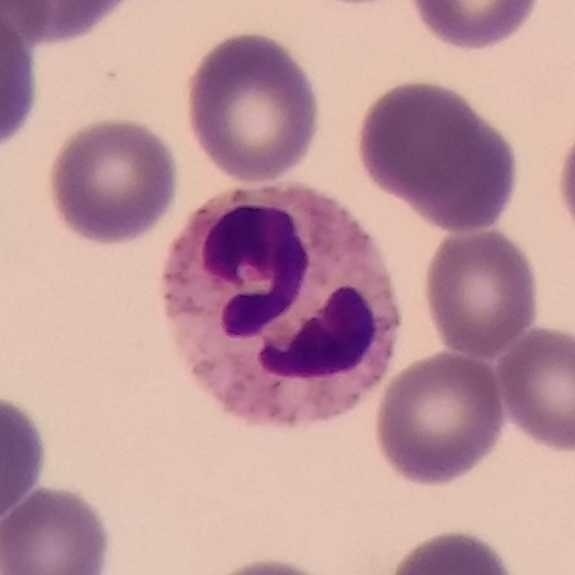
Specimen: peripheral blood smear.
Cell: neutrophilic granulocyte.
Lineage: myeloid.